Peripheral blood film; image size 575×575:
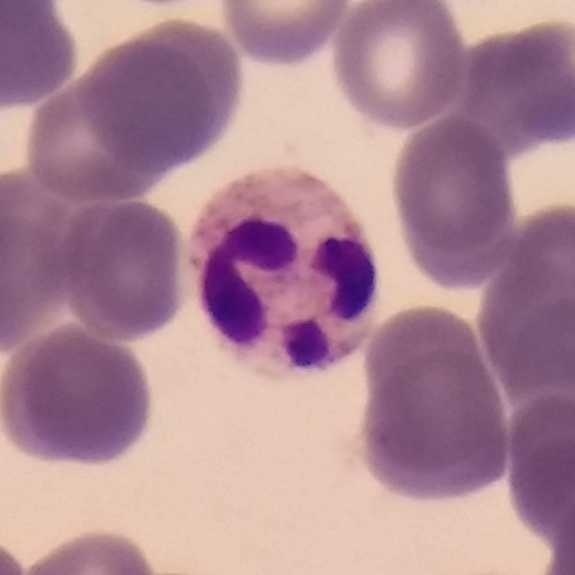A neutrophil granulocyte.